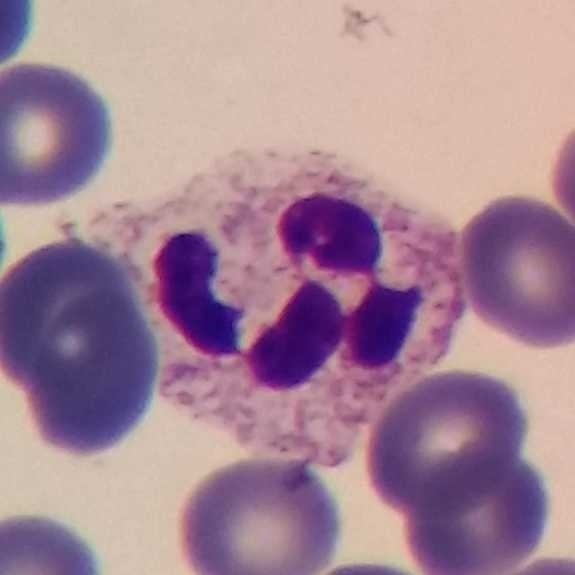
Q: What is shown here?
A: A neutrophil granulocyte.